Photographed through a light microscope with a smartphone camera. Peripheral blood smear:
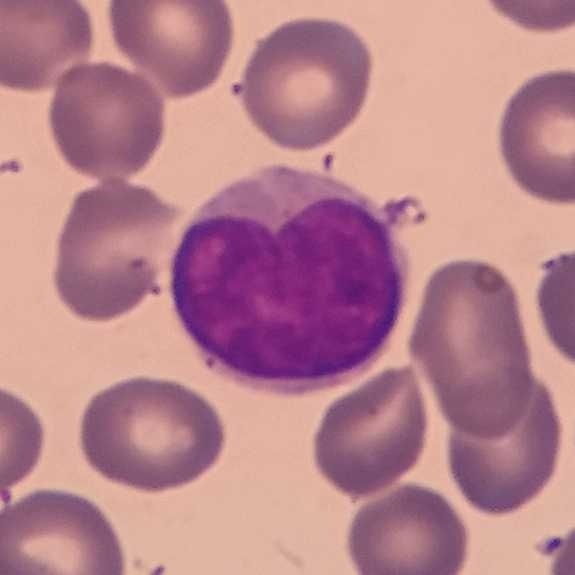Cell type: lymphocyte.